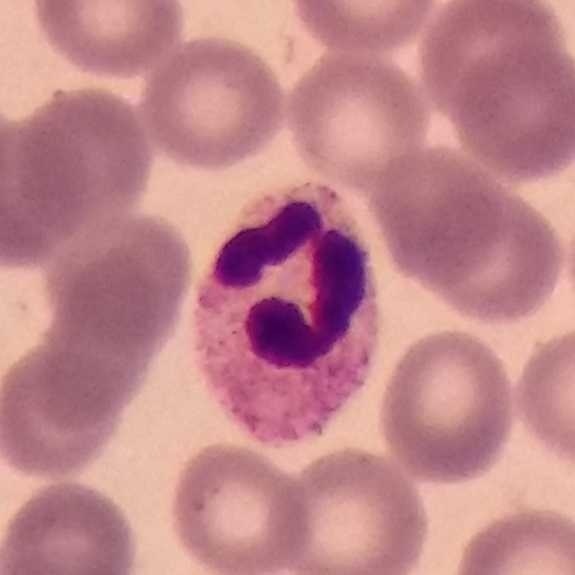

Context: Peripheral blood film.
Classification: neutrophil.